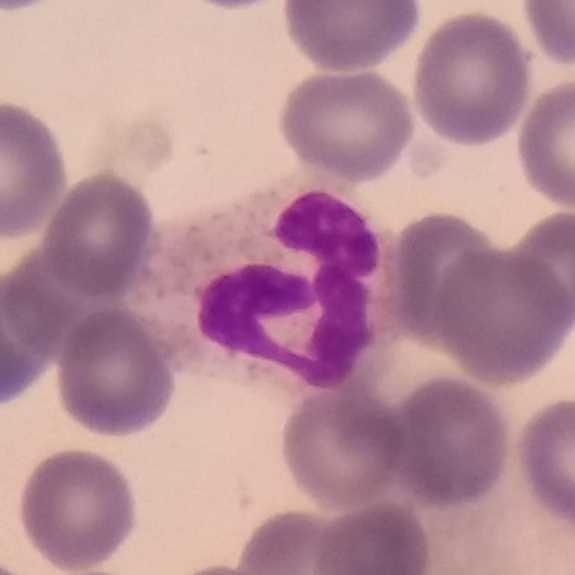
Specimen: peripheral blood smear.
White blood cell type: neutrophil granulocyte.
Lineage: myeloid.